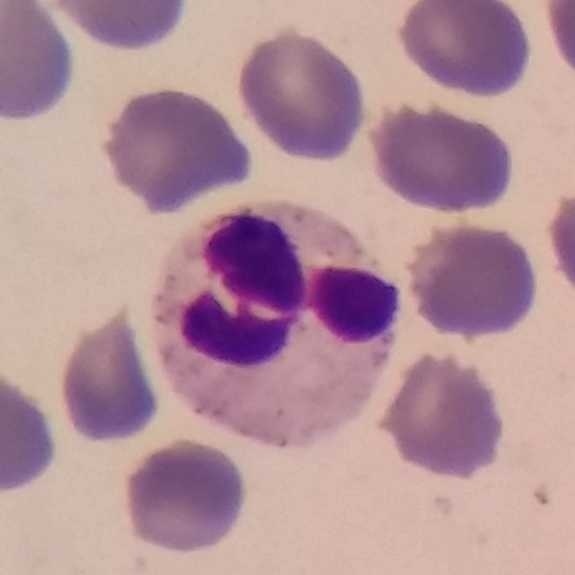
The white blood cell in this image is a neutrophil. Context: Peripheral blood smear. Imaged at 100×.